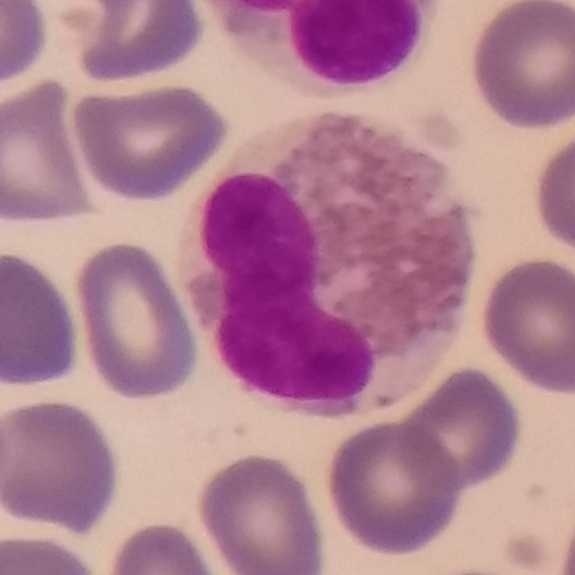
Q: Which cell type is shown here?
A: An eosinophil.